Peripheral blood smear · phone-camera image taken through the microscope ocular
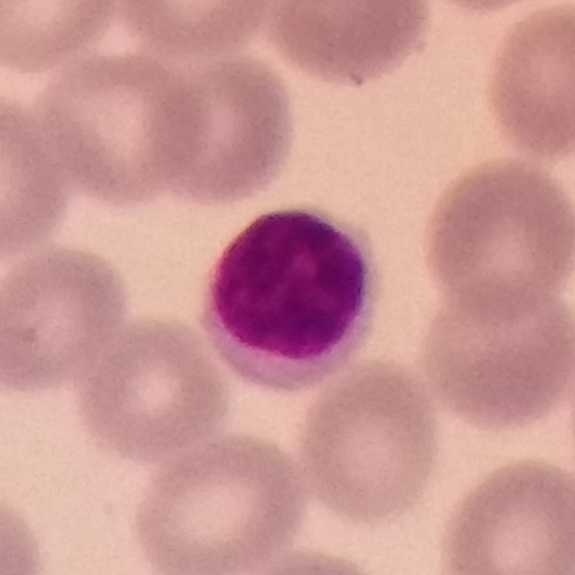
Showing a lymphocyte.